Peripheral blood smear.
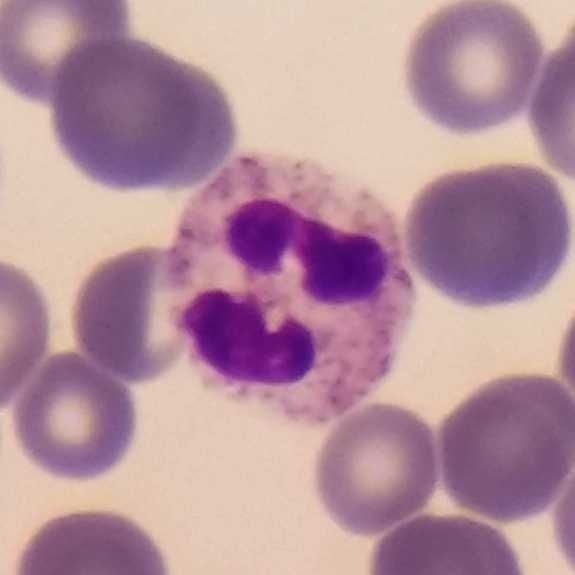 {"cell_type": "neutrophil", "lineage": "myeloid"}